Peripheral blood smear
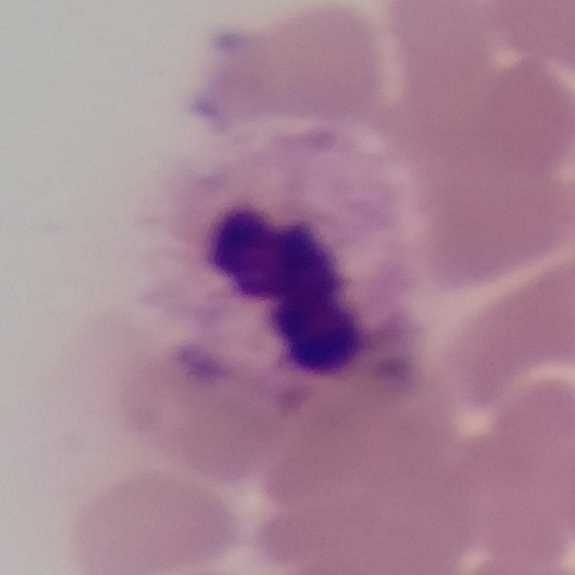

Q: Identify the cell.
A: A neutrophil granulocyte.